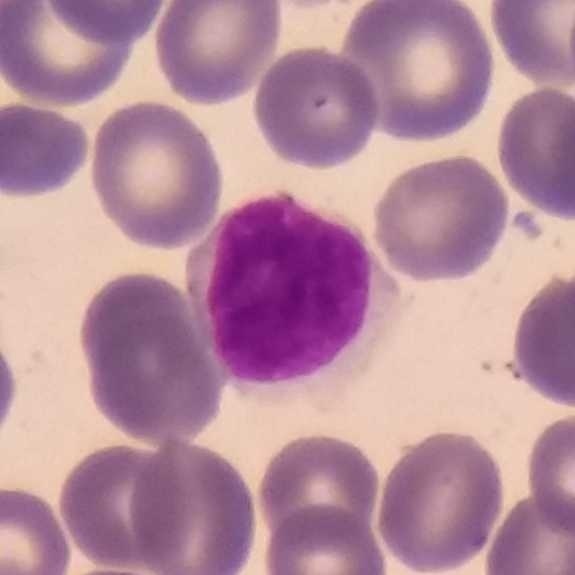
Morphological class: lymphocyte.